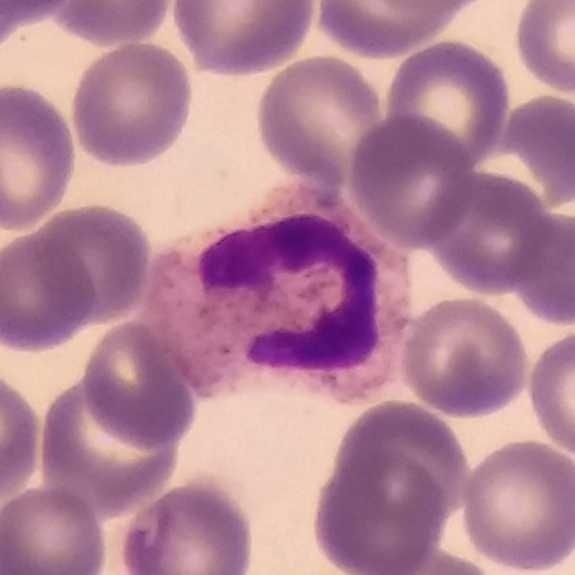Cell — neutrophilic granulocyte.